Peripheral blood film
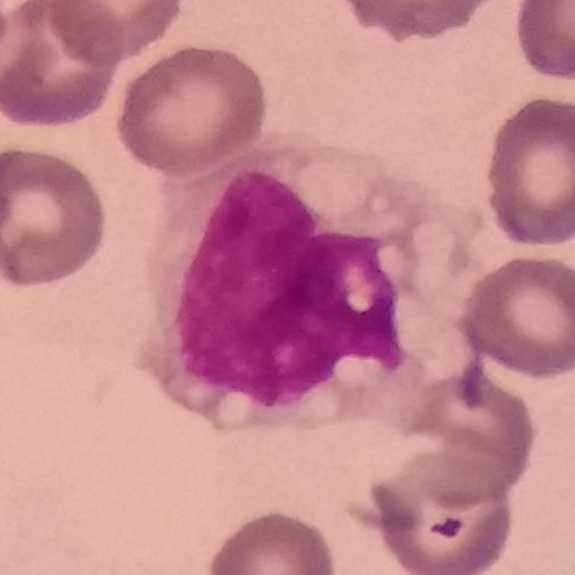

Q: What type of cell is this?
A: This is a monocyte.